Peripheral blood film — 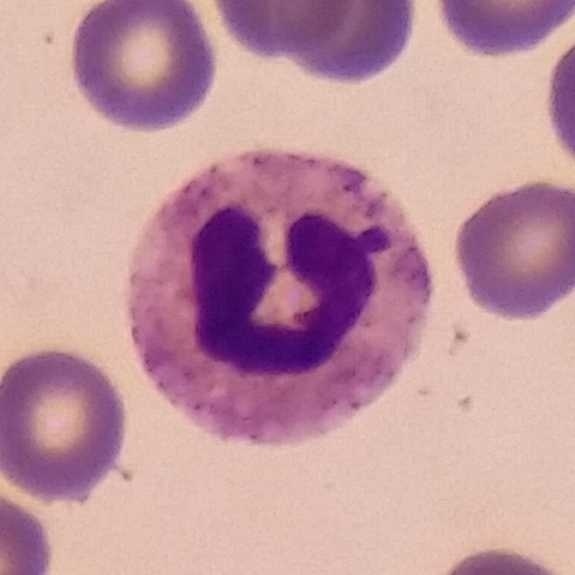
Morphology consistent with a neutrophilic granulocyte.